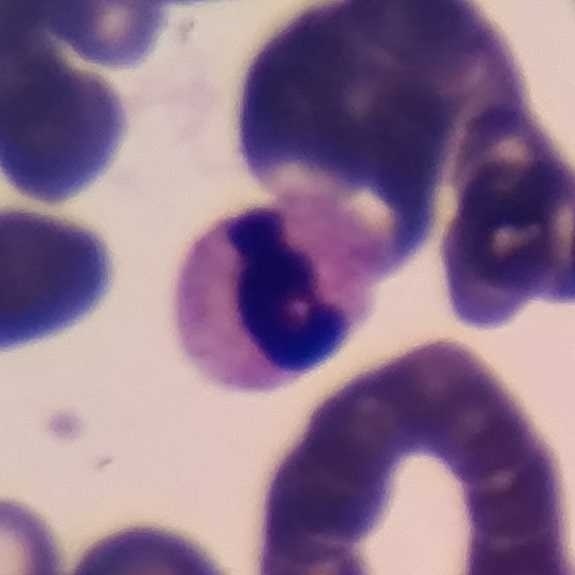
The cell is neutrophil. Image: Peripheral blood smear.